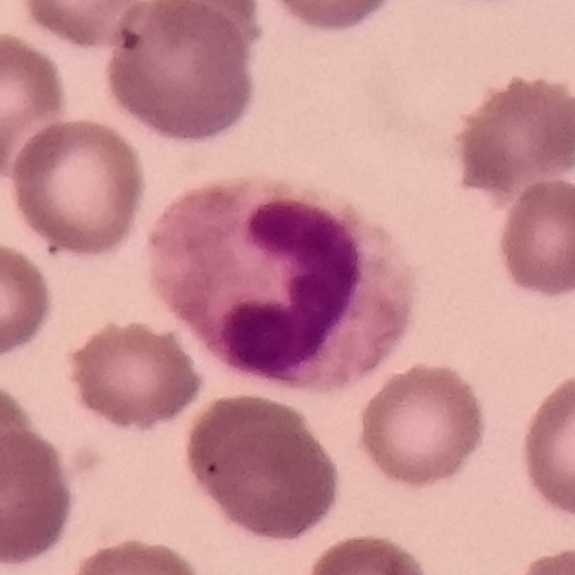
Single white blood cell cropped from the smear photograph; peripheral blood film.

The white blood cell type is neutrophil granulocyte.